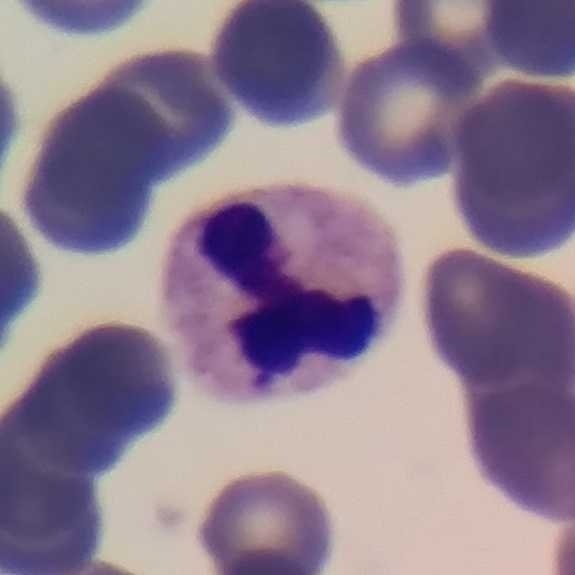 Identified as a neutrophilic granulocyte. Acquisition: 575×575 px · peripheral blood film.